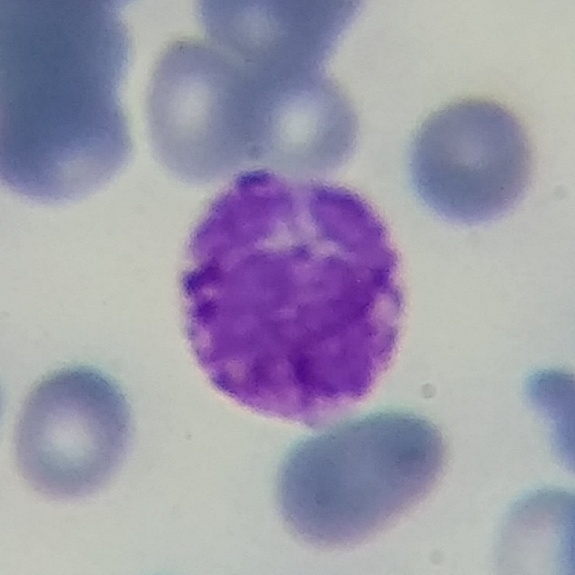 Morphology → basophil.
Context: Peripheral blood film.